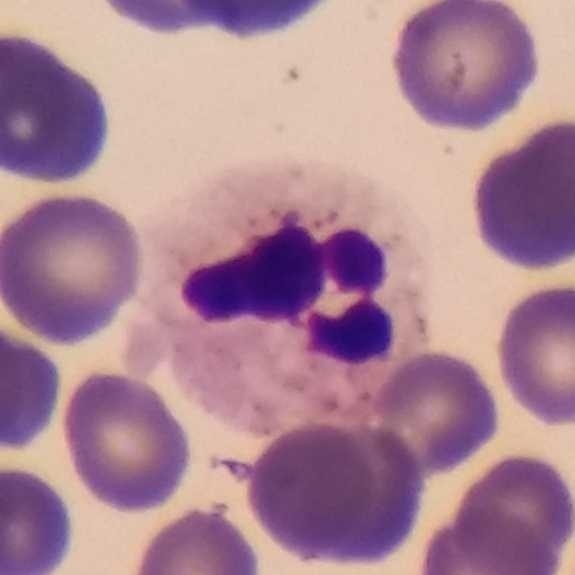 Preparation: Peripheral blood film. Q: Classify this leukocyte.
A: This is a neutrophilic granulocyte.